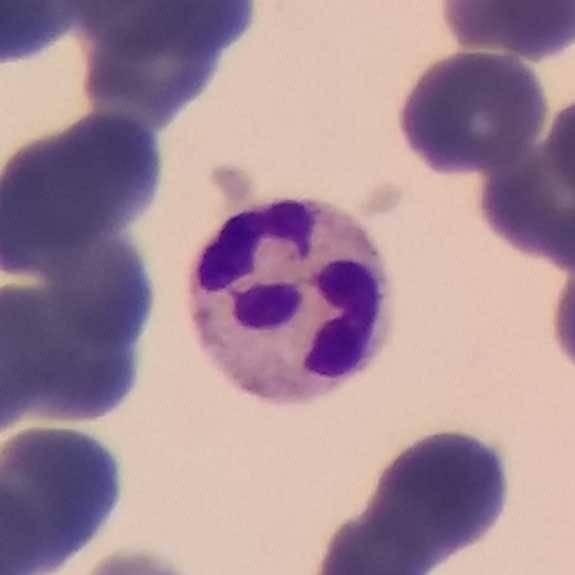Q: What is this?
A: This is a neutrophil granulocyte.

Peripheral blood film.